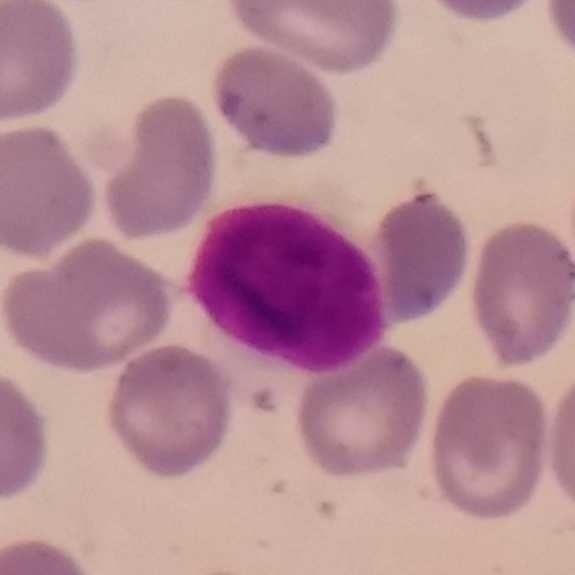 Peripheral blood film. Cropped to one leukocyte. Image size 575×575.

Impression — lymphocyte.